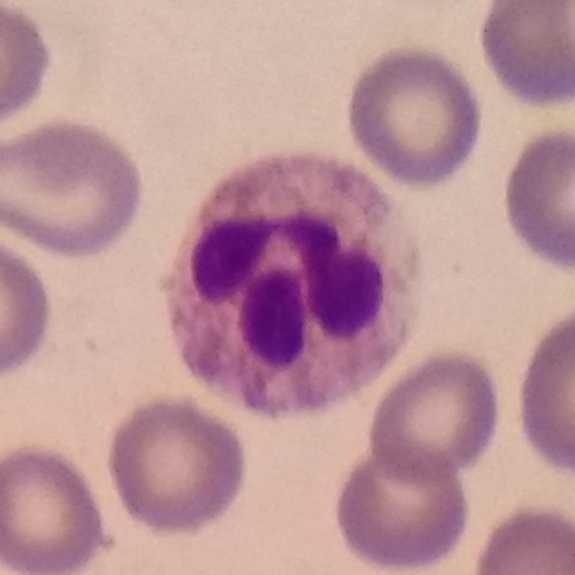

The cell is neutrophil.